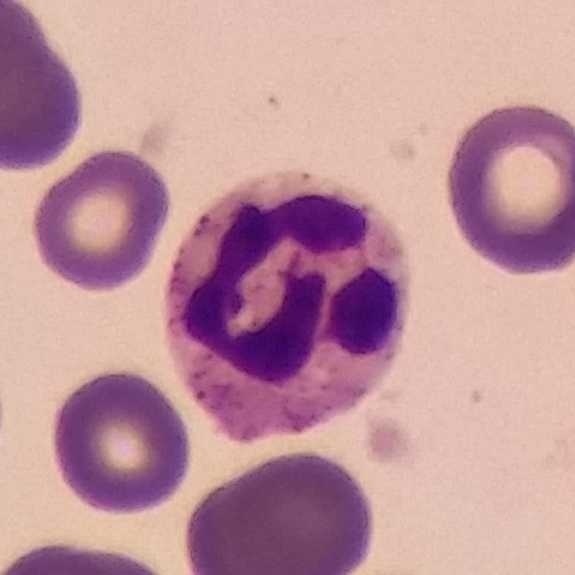Cell — neutrophil granulocyte.